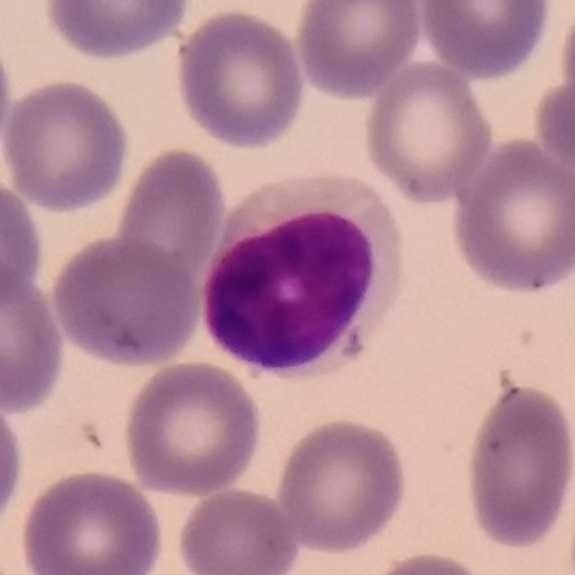 Morphology → lymphocyte.